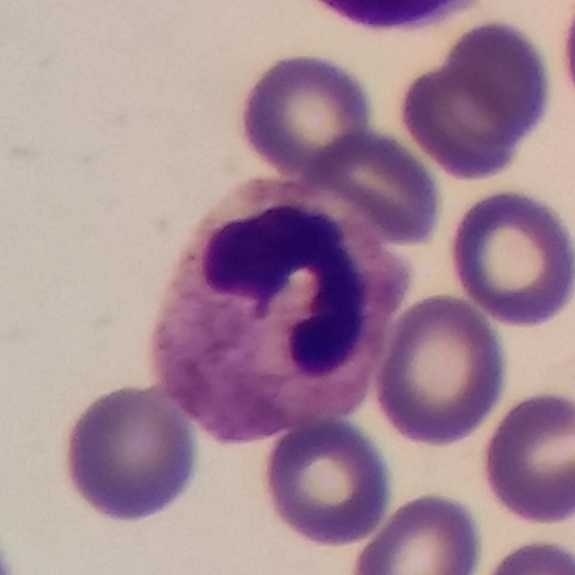
The cell shown is a neutrophilic granulocyte.
Acquisition: Peripheral blood film.